Peripheral blood smear: 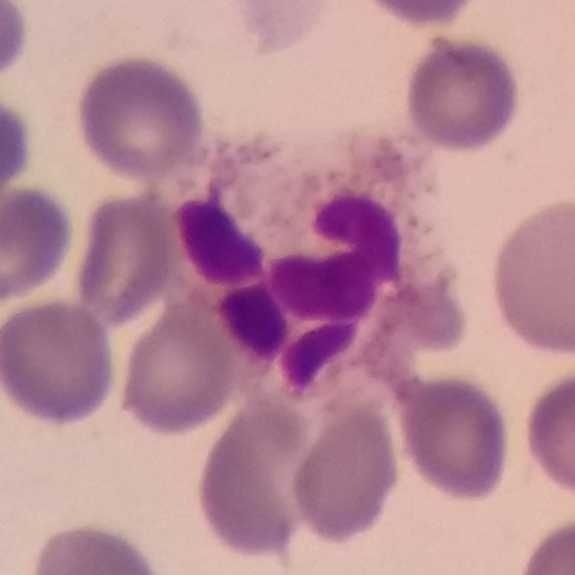
Neutrophilic granulocyte.